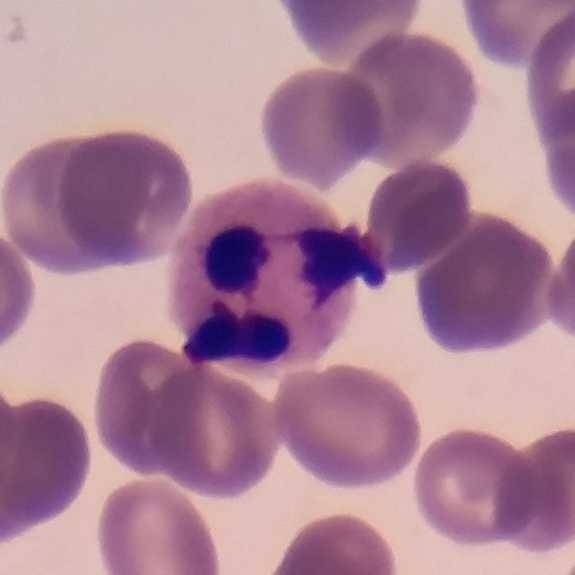

Specimen: peripheral blood film.
Classification: neutrophil granulocyte.
Lineage: myeloid.